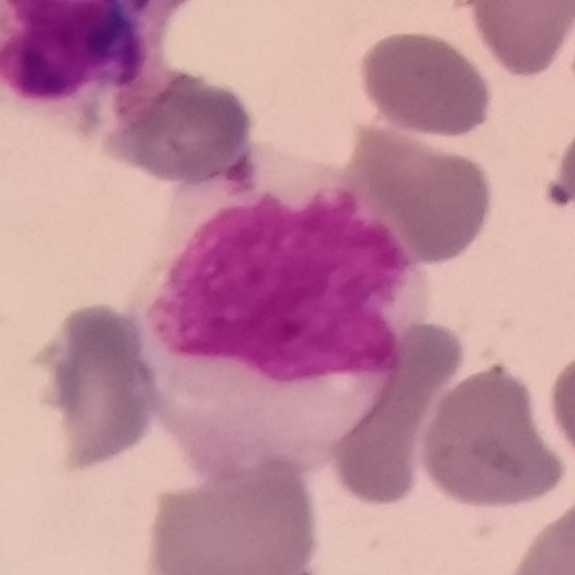 Acquisition: Peripheral blood smear. The white blood cell type is monocyte.